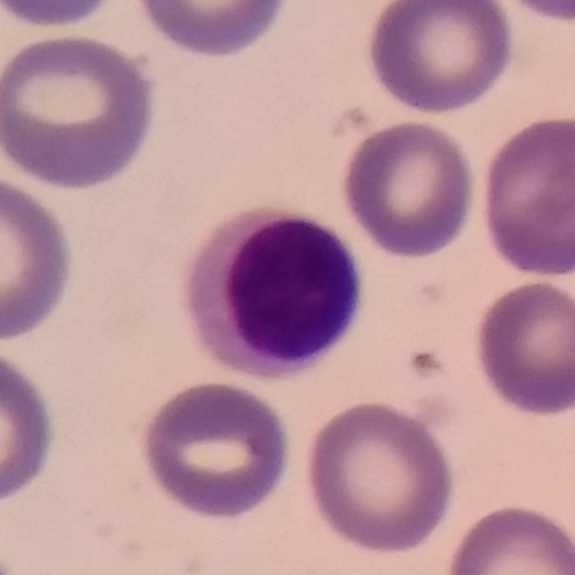 The cell shown is a lymphocyte.